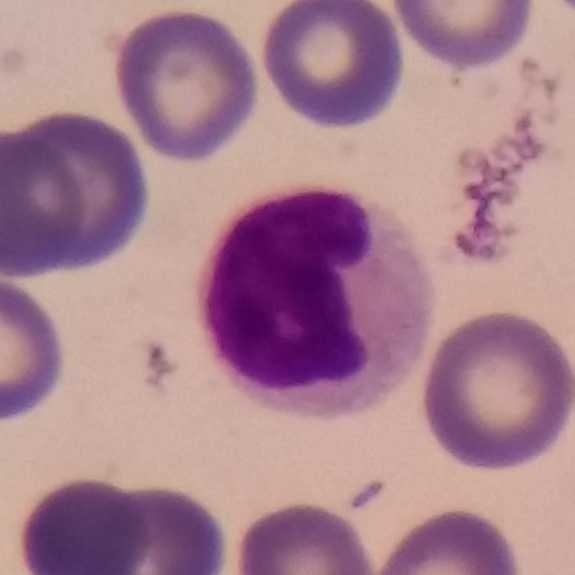

Acquisition: Image size 575×575 · peripheral blood smear.

Morphology consistent with a lymphocyte.